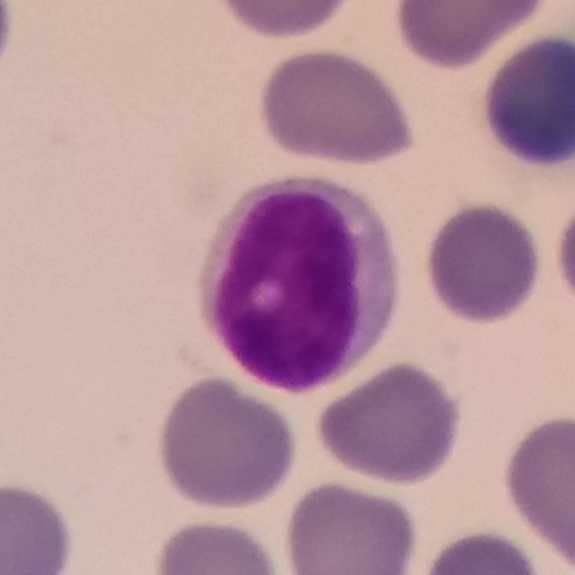

Image: Peripheral blood smear · image size 575×575 · magnification 100×.
Lymphocyte.